Peripheral blood smear.
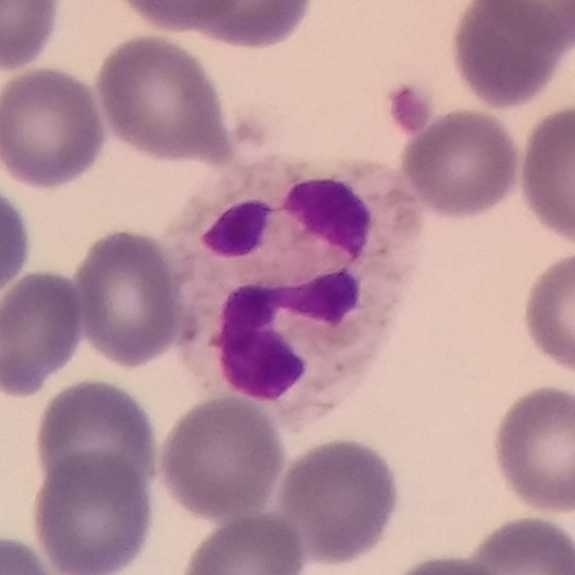

Specimen: peripheral blood smear.
Cell type: neutrophilic granulocyte.
Lineage: myeloid.